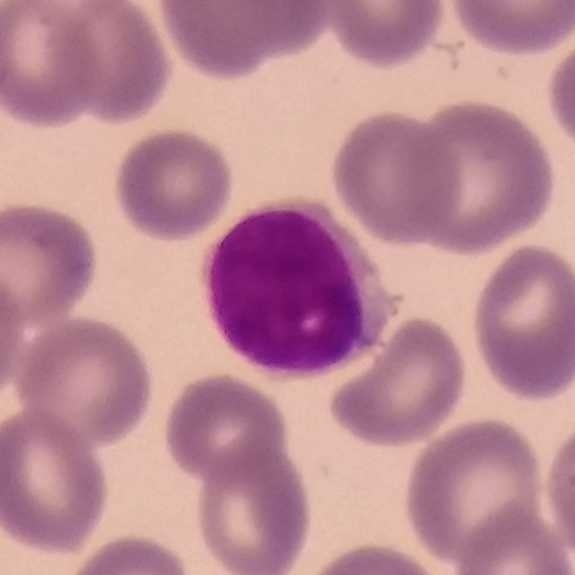White blood cell type: lymphocyte.

Preparation: Peripheral blood film.